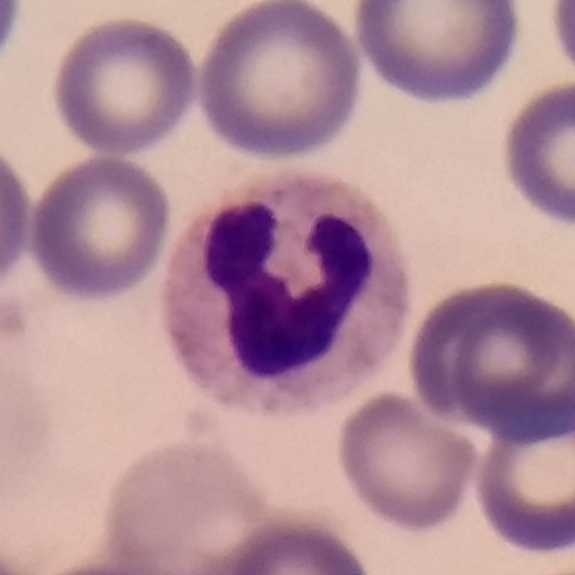Peripheral blood film. Smartphone camera mounted on the microscope eyepiece.
Morphological class — neutrophil.